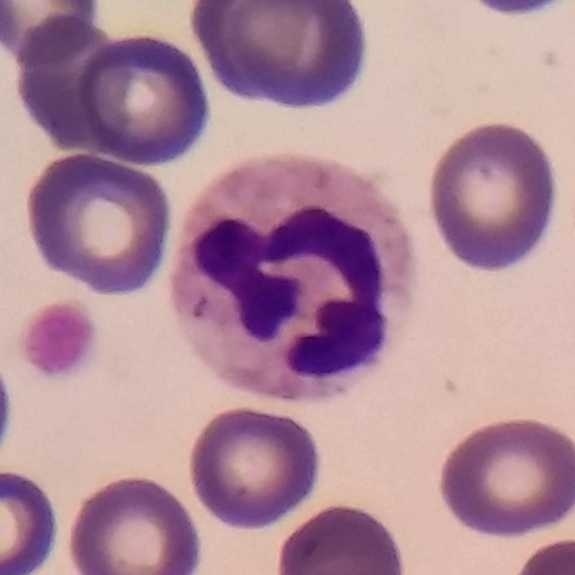 Cell type: neutrophil granulocyte.
Acquisition: Cropped to one leukocyte; peripheral blood film.